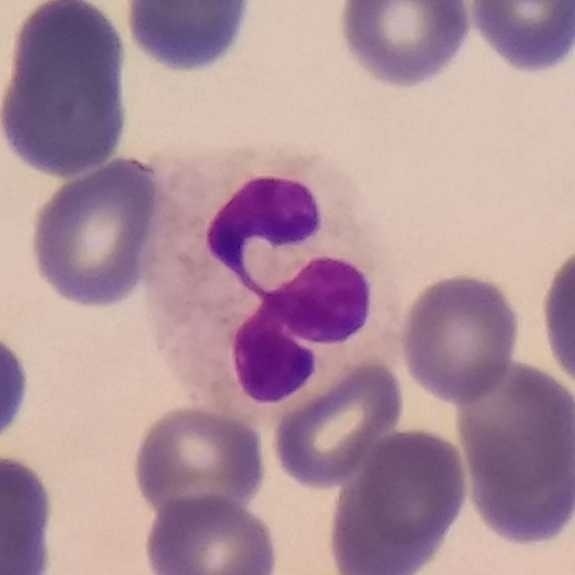{"cell_type": "neutrophil"}